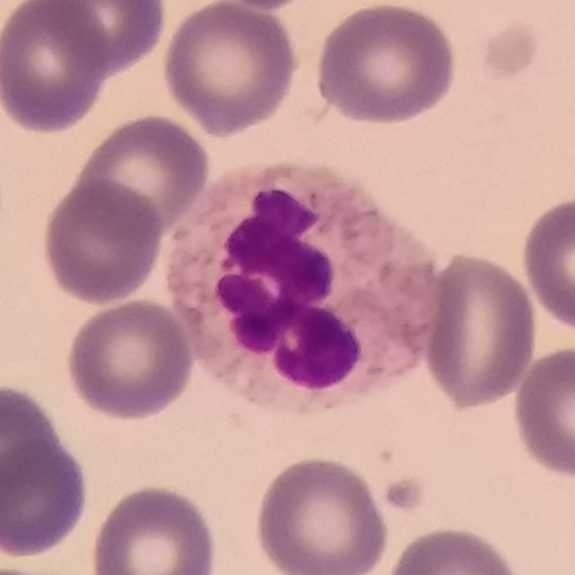 Specimen: peripheral blood smear.
Cell type: neutrophil.
Lineage: myeloid.